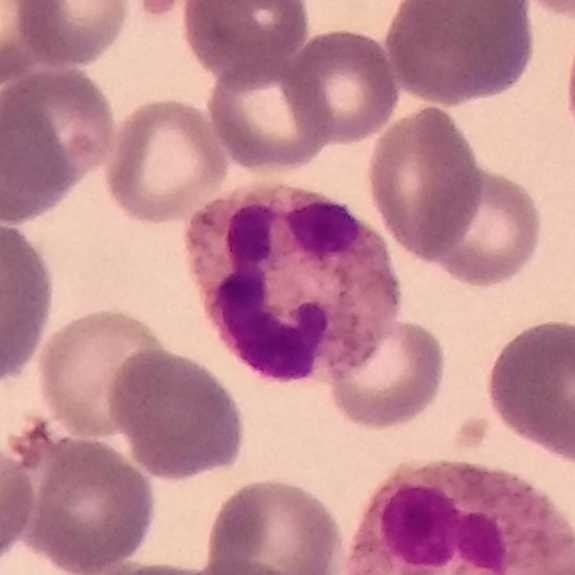

Neutrophilic granulocyte.